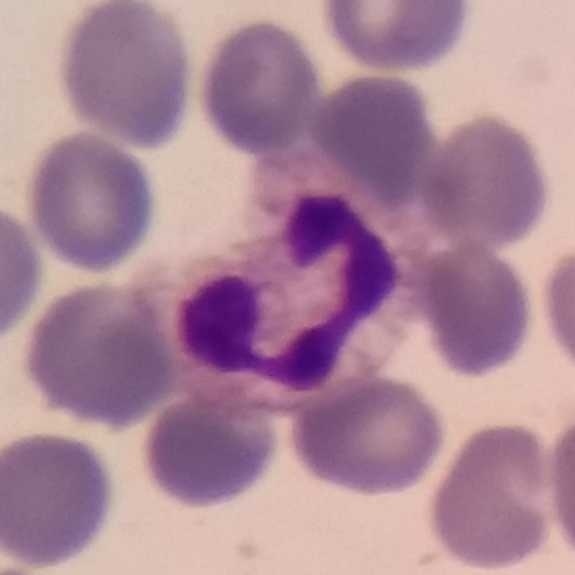 Peripheral blood film · smartphone photomicrograph.
Q: Which type of white blood cell is this?
A: It is a neutrophil granulocyte.